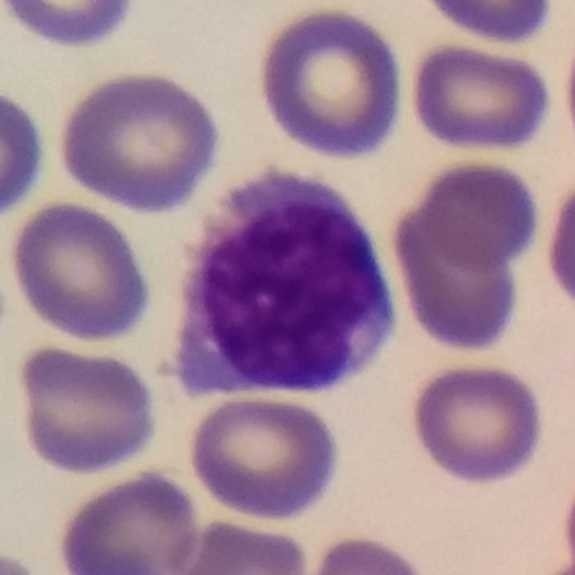

The white blood cell type is lymphocyte.